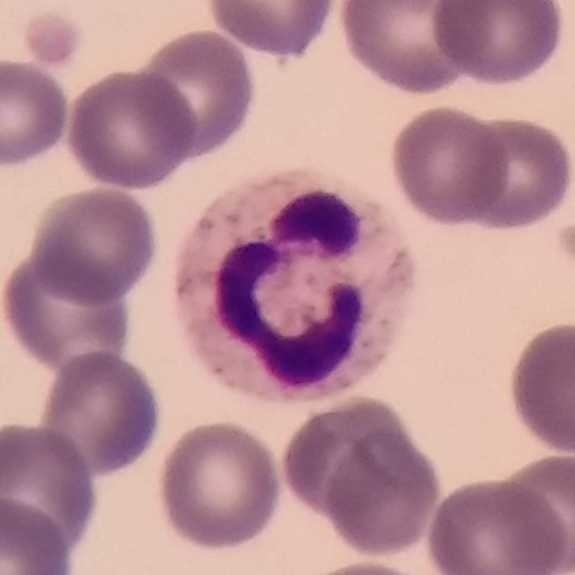 Context: Peripheral blood smear. Morphology — neutrophil granulocyte.